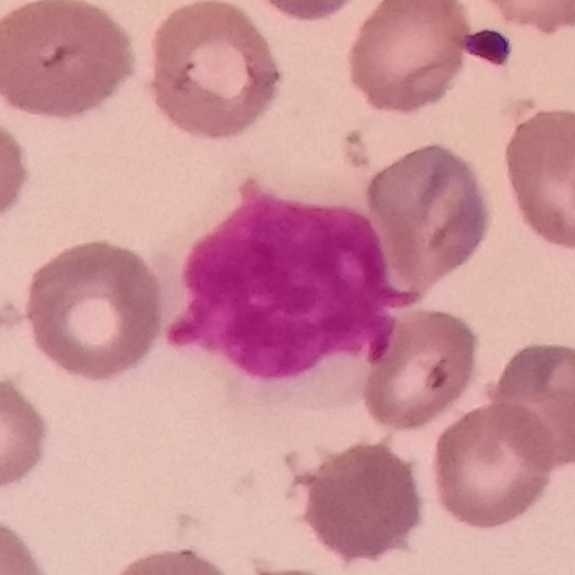
Q: What is this?
A: Monocyte.

Preparation: Peripheral blood smear.